Peripheral blood smear — 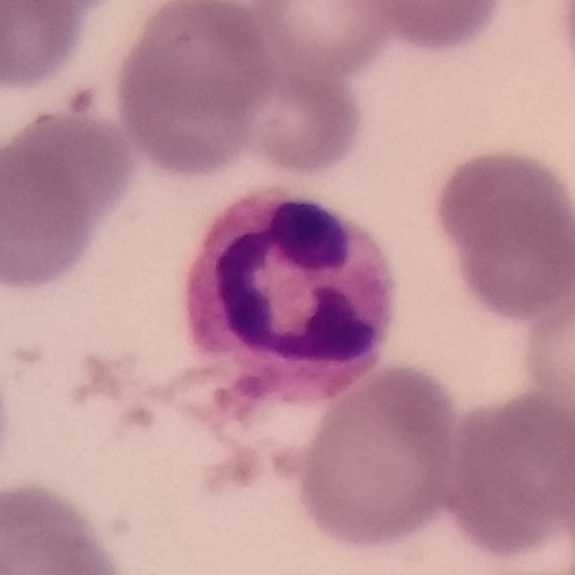This is a neutrophil granulocyte.